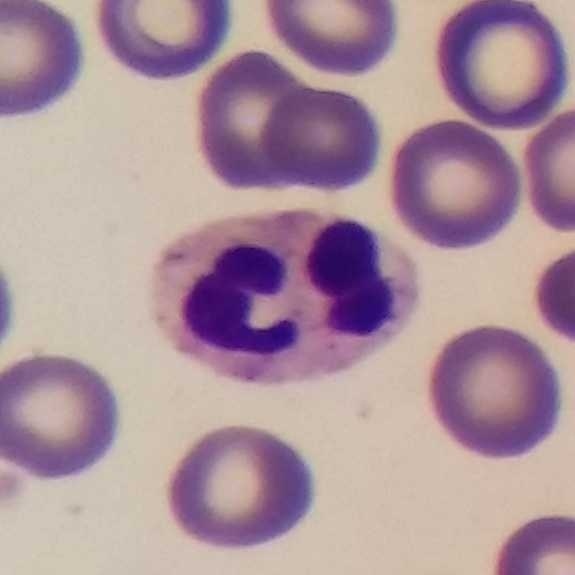
Specimen: peripheral blood smear.
Cell: neutrophil.